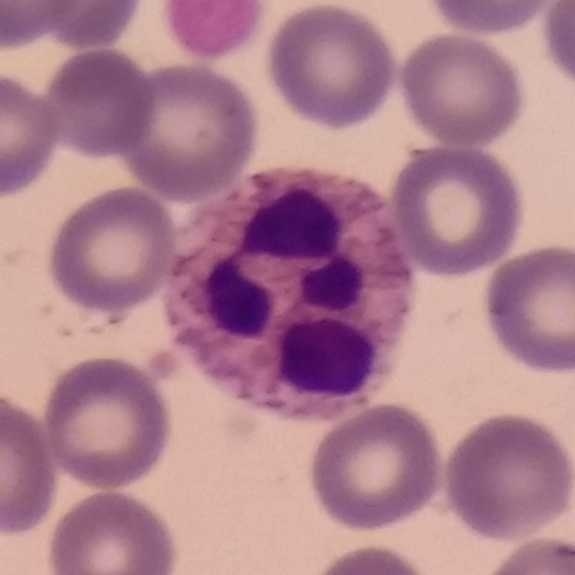

Cell — neutrophil granulocyte. Single white blood cell cropped from the smear photograph; peripheral blood smear.